Peripheral blood film.
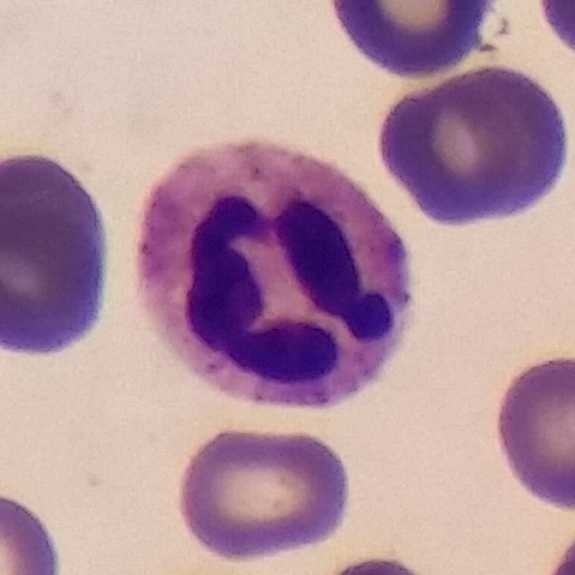Q: Which type of white blood cell is this?
A: It is a neutrophil.